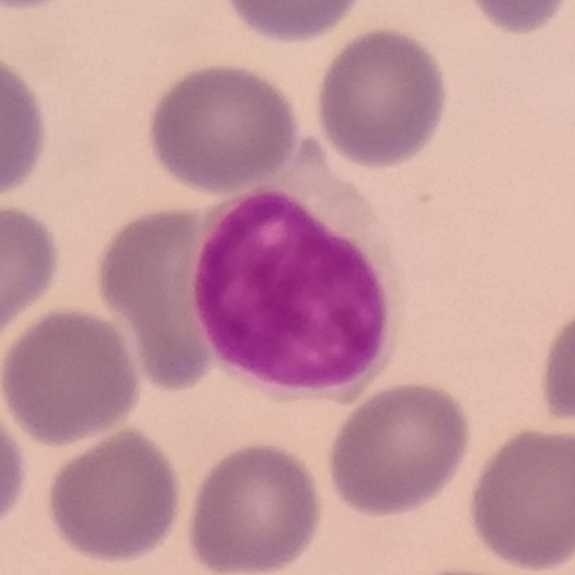Specimen: peripheral blood smear.
Cell: lymphocyte.
Lineage: lymphoid. Image: Imaged at 100×; 575×575 px.